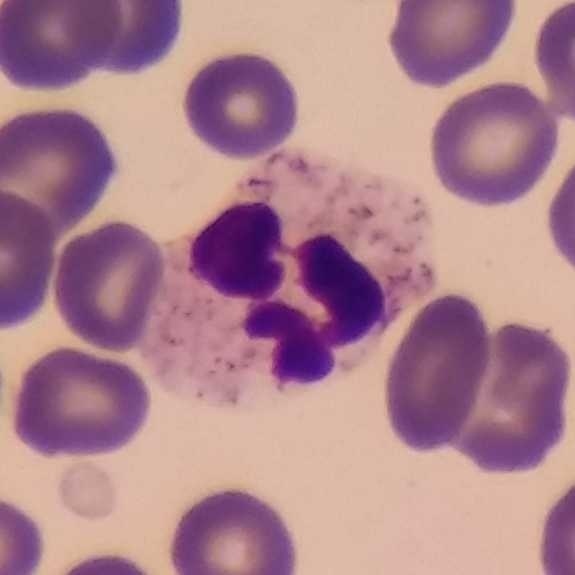

Classification: neutrophilic granulocyte. Image: Peripheral blood smear; 575 by 575 pixels; Giemsa-stained.